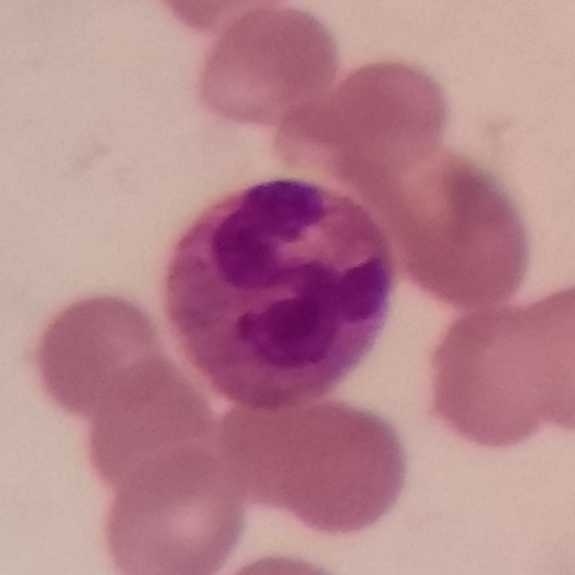
Image: Peripheral blood film. Q: What is shown here?
A: Neutrophilic granulocyte.